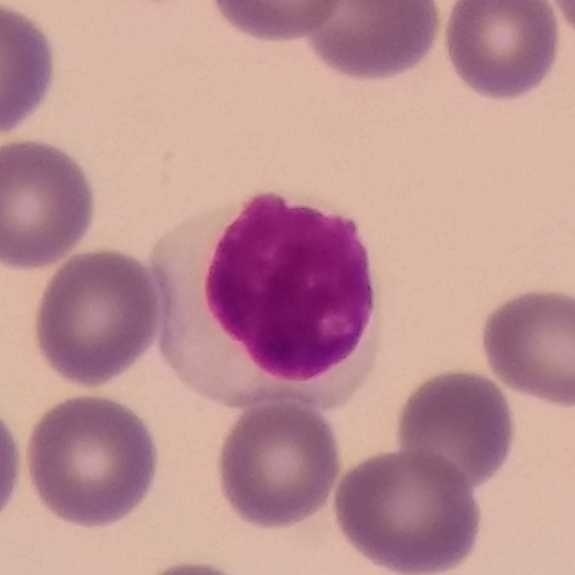The classification is lymphocyte. Preparation: Peripheral blood smear; Giemsa stain; single-cell field.